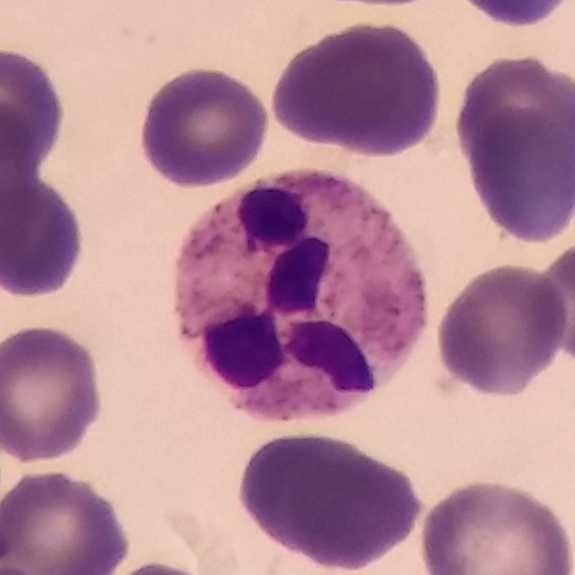 Q: What type of cell is this?
A: It is a neutrophil granulocyte.

Peripheral blood film.